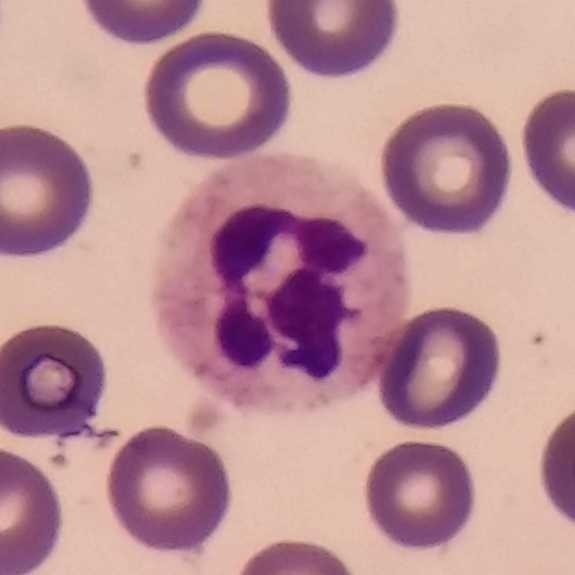

Cell = neutrophilic granulocyte.